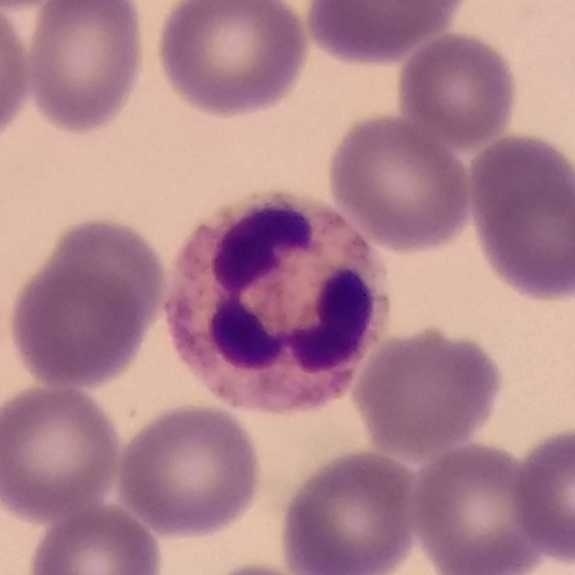 Q: What is this?
A: A neutrophilic granulocyte.